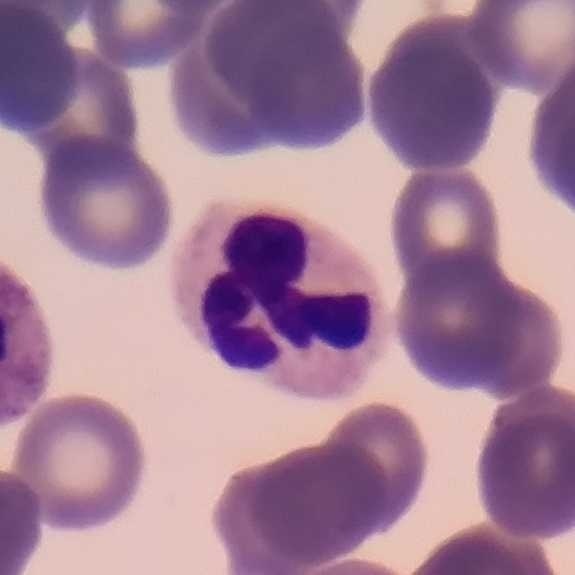
Preparation: Peripheral blood smear. Showing a neutrophilic granulocyte.